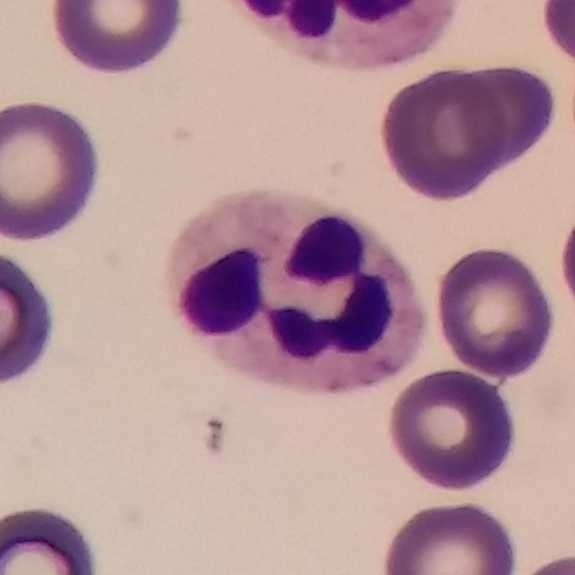 The cell is neutrophilic granulocyte. Giemsa-stained; peripheral blood film.